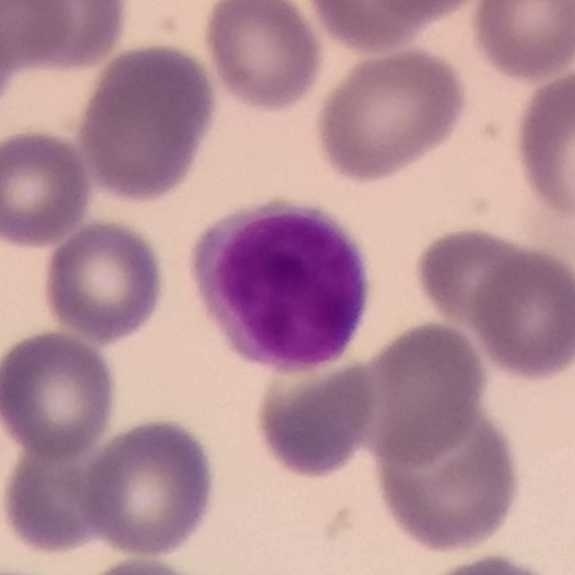

Specimen: peripheral blood film.
White blood cell type: lymphocyte.
Lineage: lymphoid.